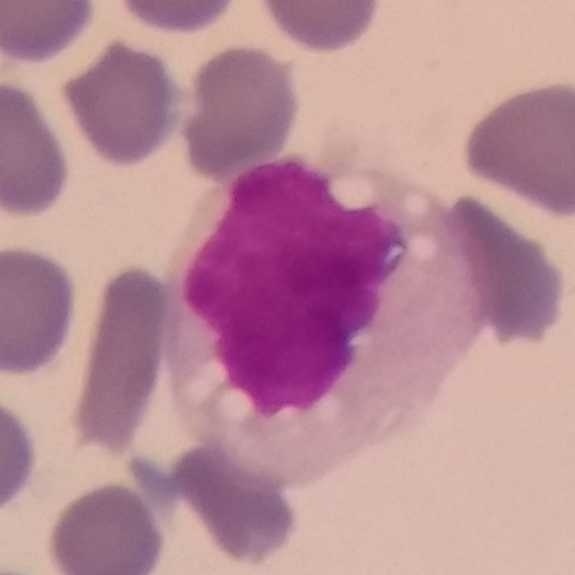Morphology consistent with a monocyte.
Acquisition: Peripheral blood film; 575×575 px.